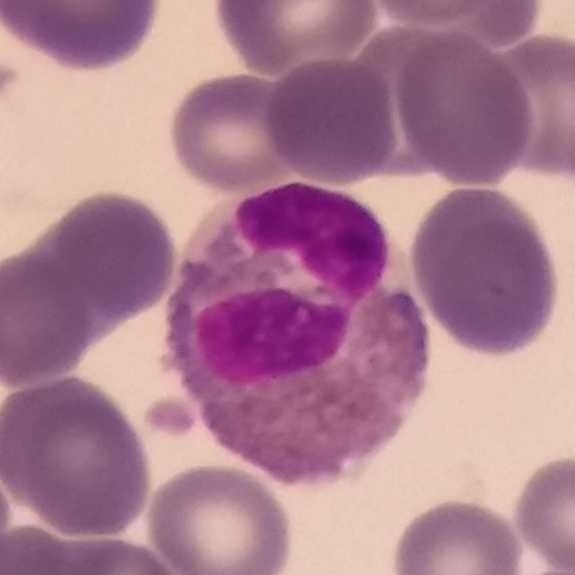Specimen: peripheral blood smear.
Cell type: eosinophil.

Giemsa-stained.